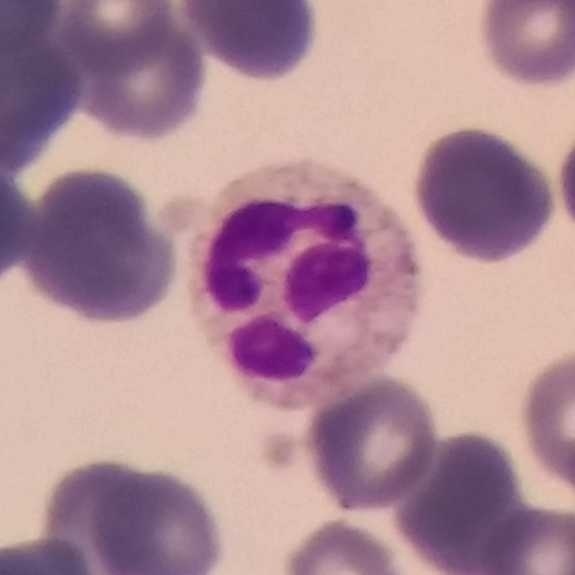

Cell: neutrophil granulocyte.